Peripheral blood smear.
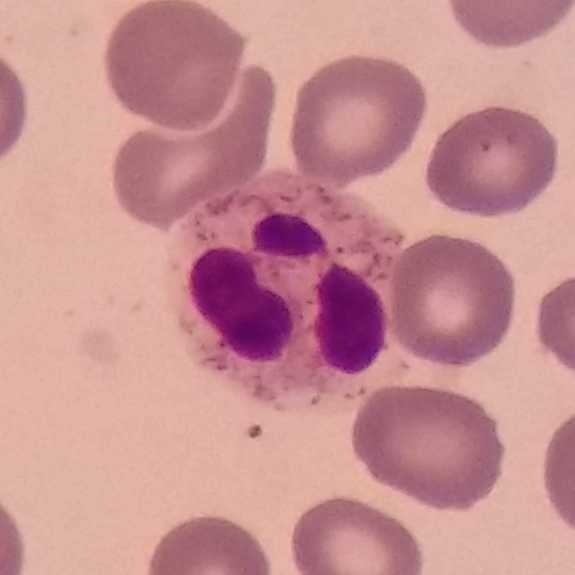Cell type = neutrophil granulocyte.